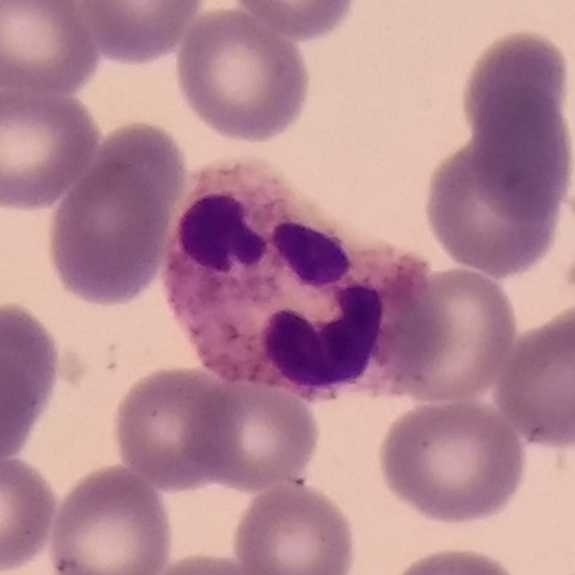 Smartphone camera mounted on the microscope eyepiece; peripheral blood smear.
Neutrophilic granulocyte.